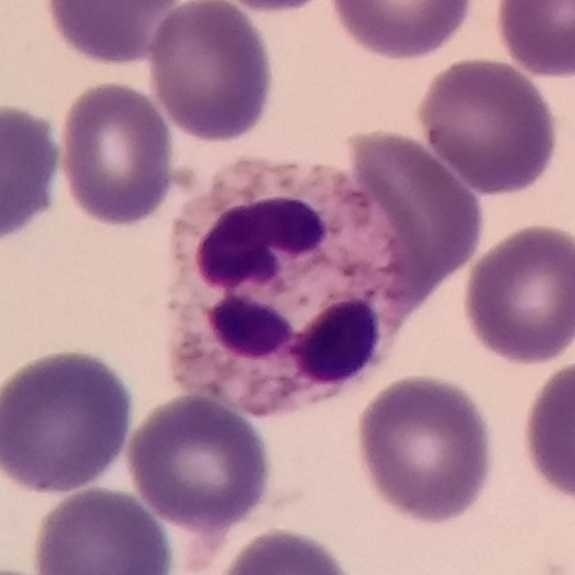 Morphology → neutrophil granulocyte.